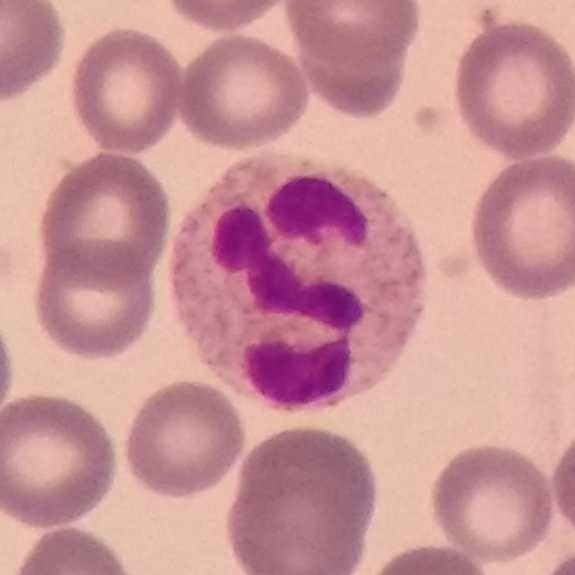 Classification = neutrophil.

Peripheral blood film.